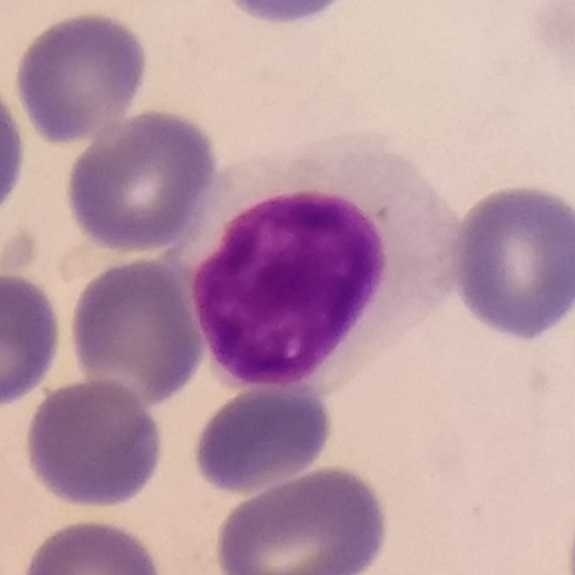 Cell: lymphocyte.